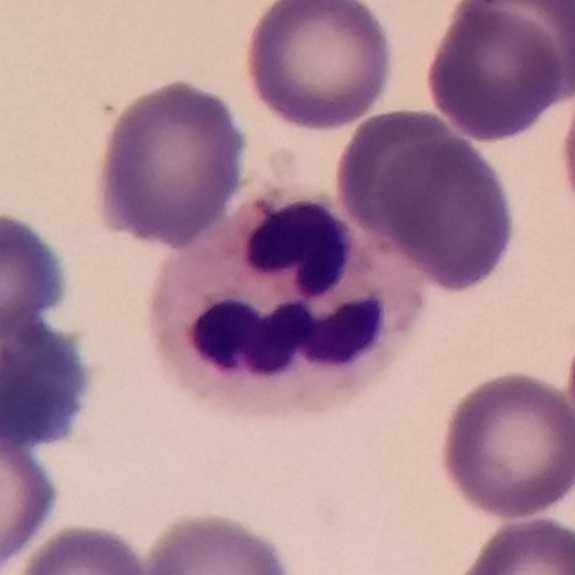

Preparation: Single white blood cell cropped from the smear photograph; 100× magnification; peripheral blood film.
Neutrophil granulocyte.